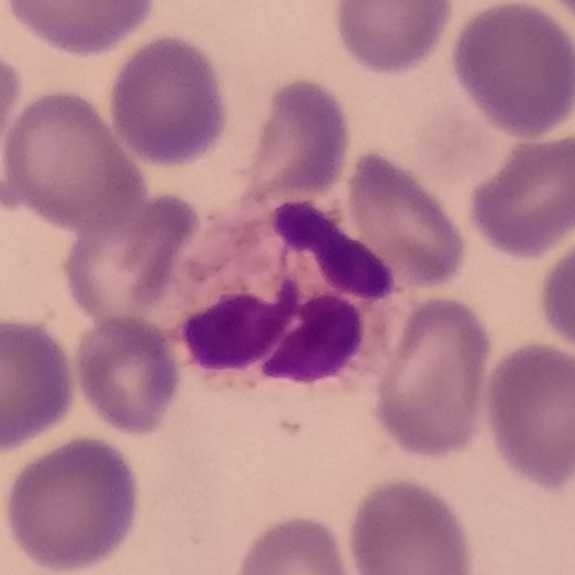Peripheral blood film.

The classification is neutrophilic granulocyte.